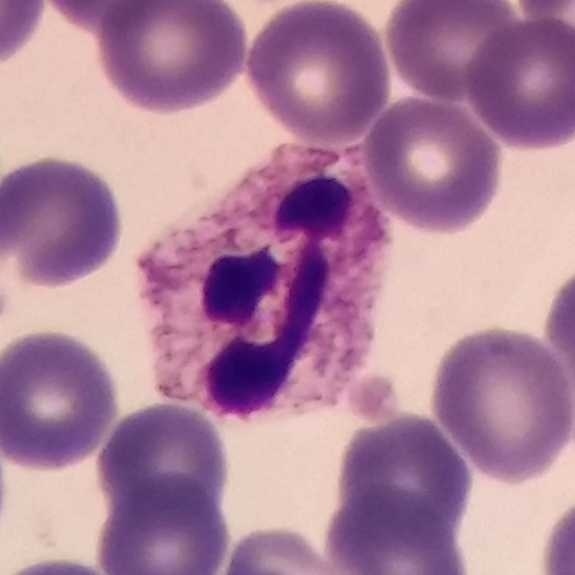
Acquisition: Single-cell field. 100× magnification. Peripheral blood smear. Cell type — neutrophil.